Peripheral blood film:
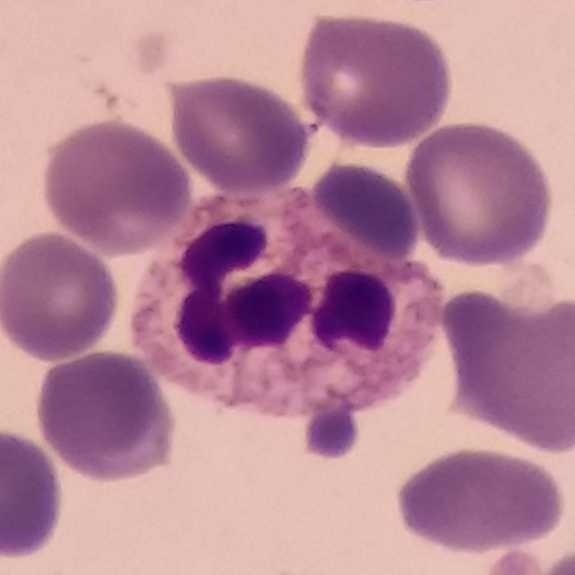
Morphological class: neutrophil.